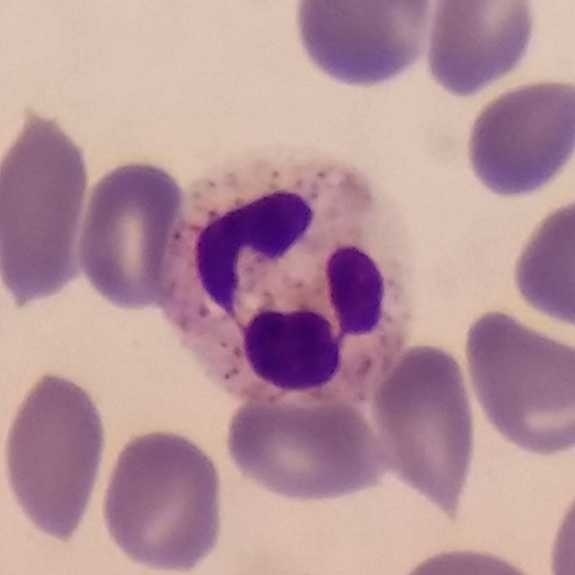
Preparation: 575×575 px; single white blood cell cropped from the smear photograph; peripheral blood smear.

The cell is neutrophilic granulocyte.